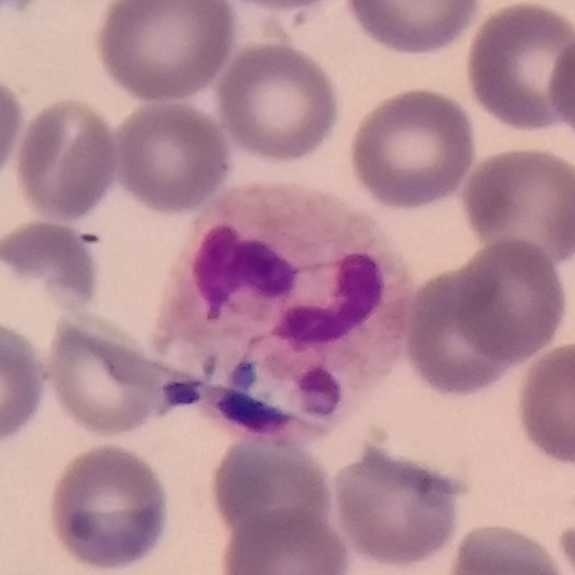
Cell type: neutrophil granulocyte.

Peripheral blood film.